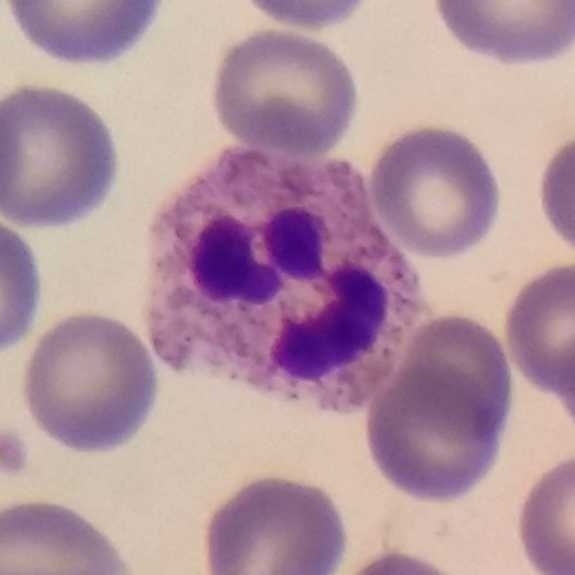Q: Which type of white blood cell is this?
A: It is a neutrophilic granulocyte.